100× magnification. Peripheral blood film:
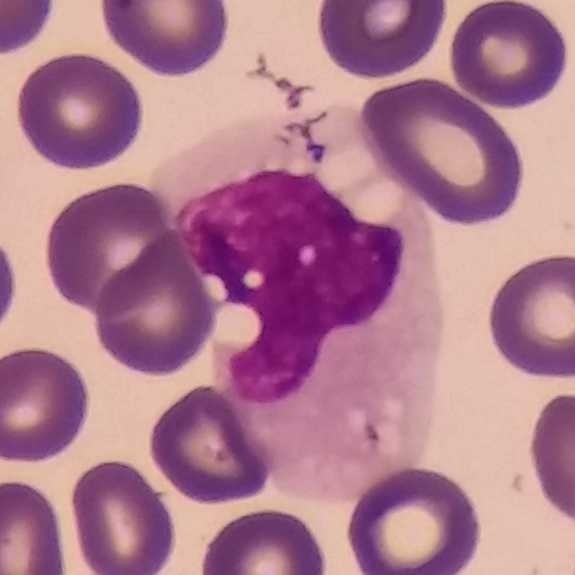 This is a monocyte.